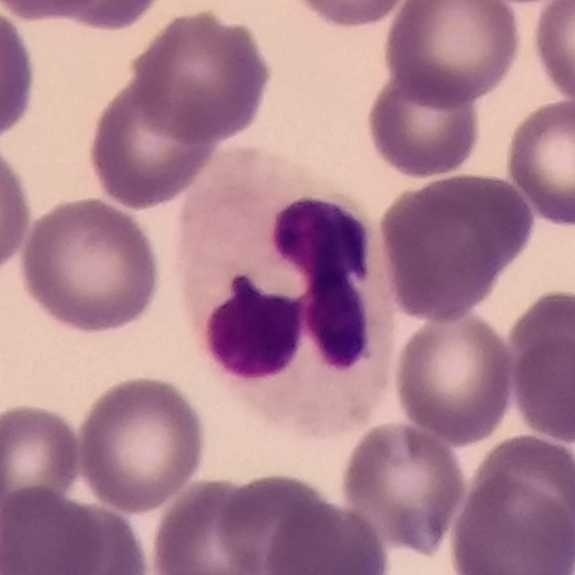
Morphology → neutrophil. Acquisition: Imaged at 100×; peripheral blood smear; cropped to one leukocyte.